Peripheral blood film. Single-cell crop. Imaged at 100× — 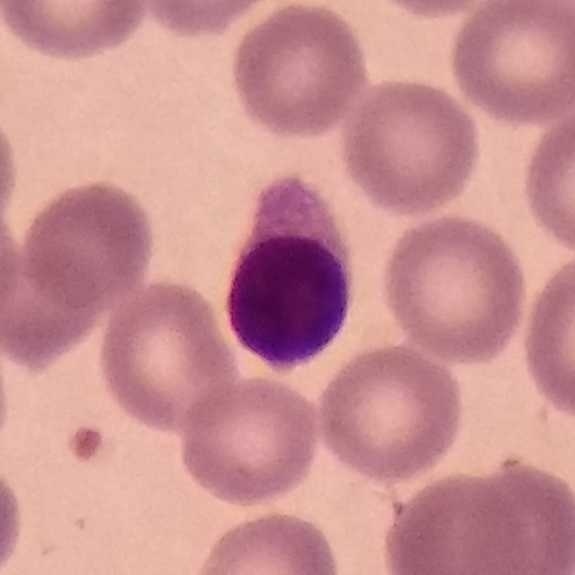

{"cell_type": "lymphocyte"}